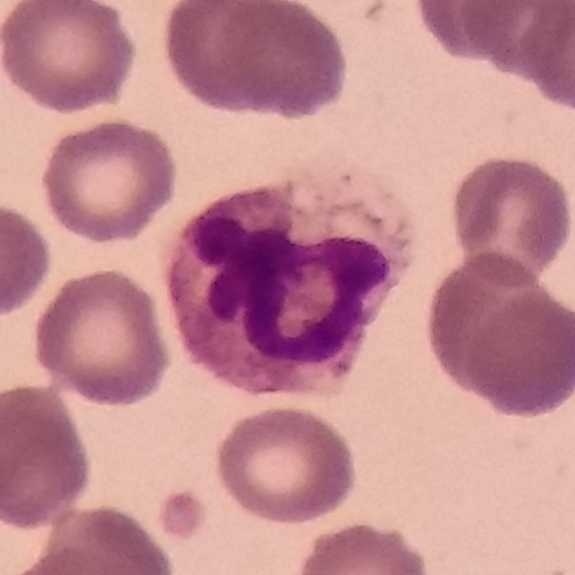The cell type is neutrophil.